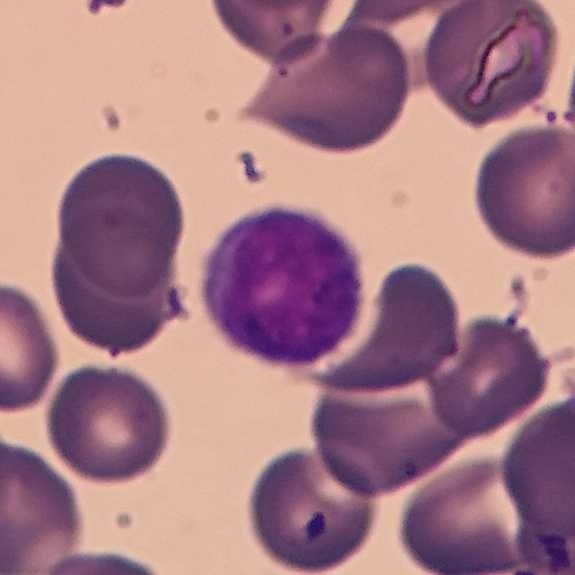
Acquisition: Stained with Giemsa. Specimen: peripheral blood smear.
Morphological class: lymphocyte.
Lineage: lymphoid.